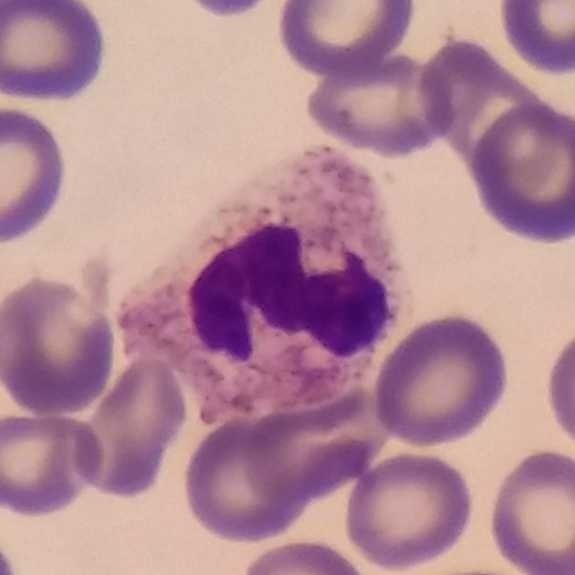

Q: What type of cell is this?
A: It is a neutrophil.